Peripheral blood smear · imaged at 100× · single white blood cell cropped from the smear photograph — 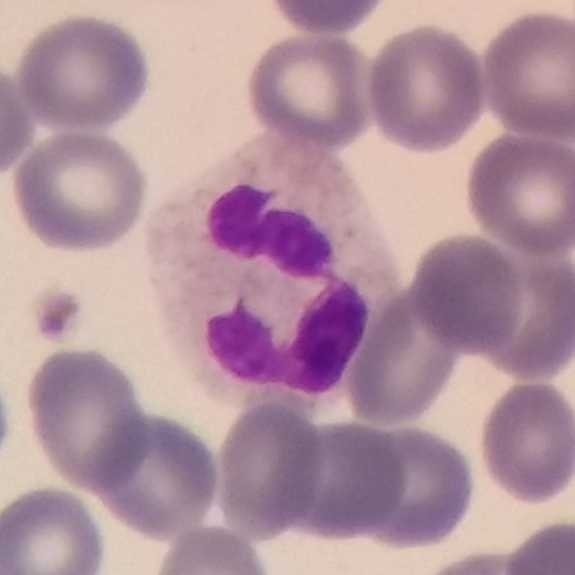Morphology — neutrophil granulocyte.